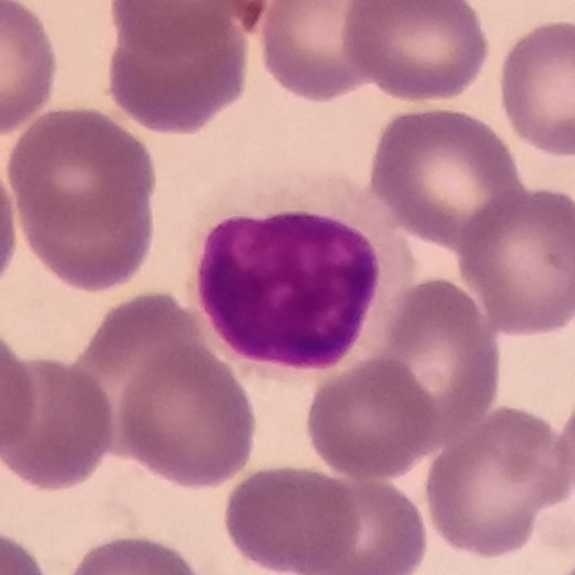

Specimen: peripheral blood smear.
Morphological class: lymphocyte.